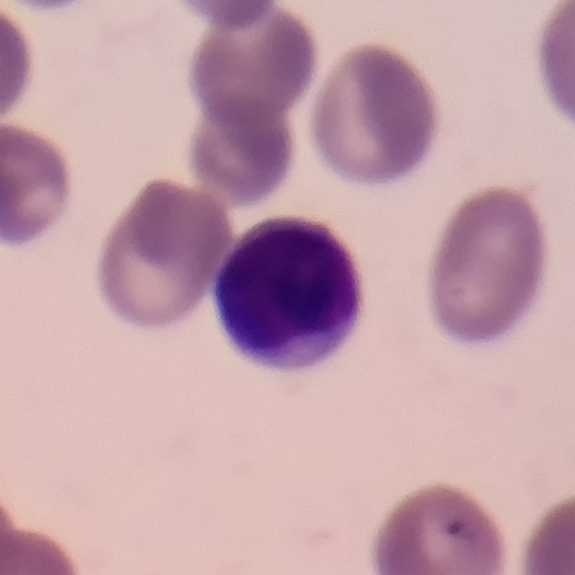

The white blood cell in this image is a lymphocyte.